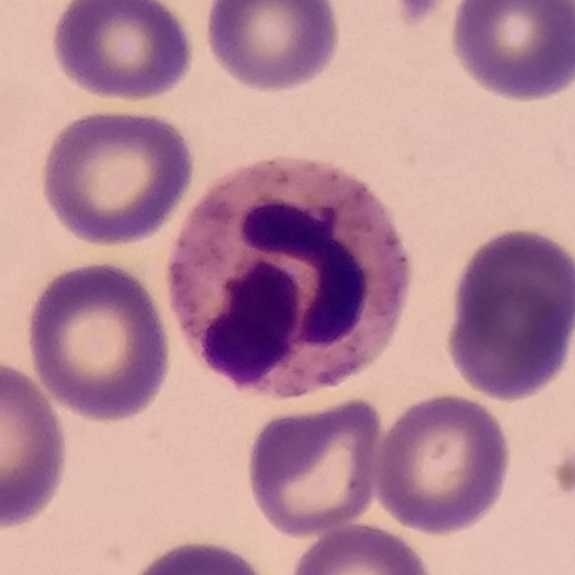

Q: Identify the cell.
A: A neutrophil granulocyte.
Peripheral blood film.